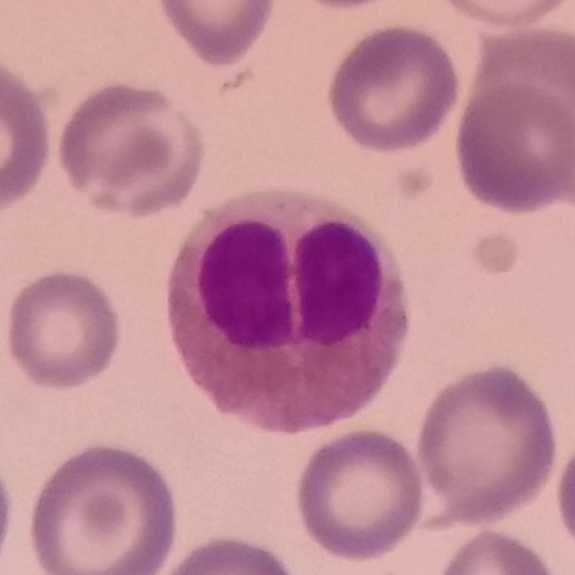 Context: Peripheral blood smear.

Morphology consistent with an eosinophil.